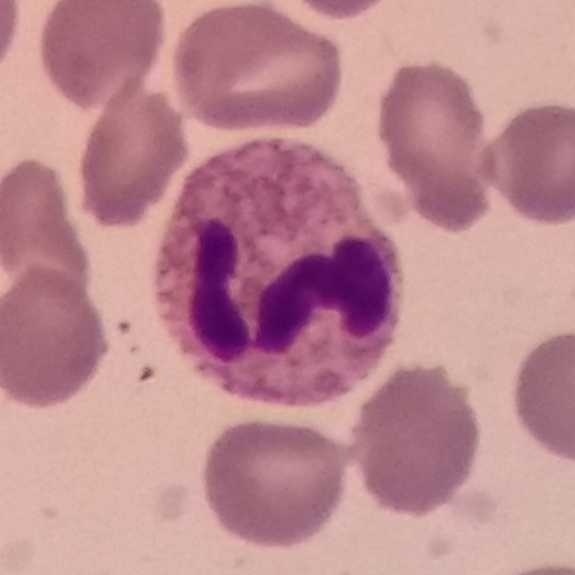 Magnification 100× · peripheral blood film · 575×575.
Q: What is the morphological classification of this cell?
A: A neutrophil granulocyte.